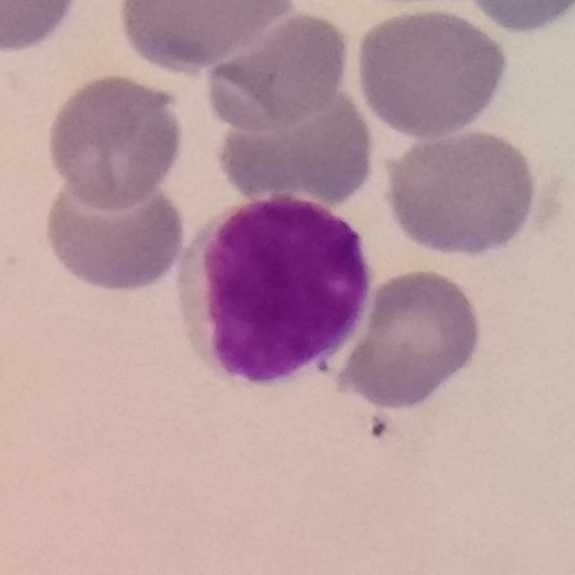

Giemsa stain. Peripheral blood film. A lymphocyte.